Peripheral blood smear: 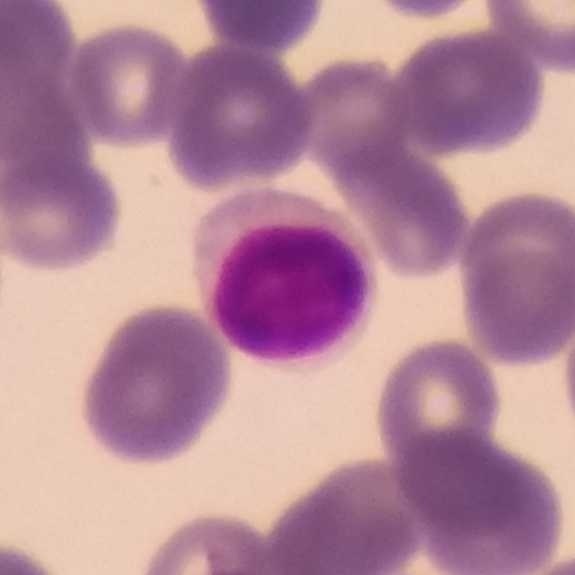White blood cell type = lymphocyte.